Peripheral blood smear: 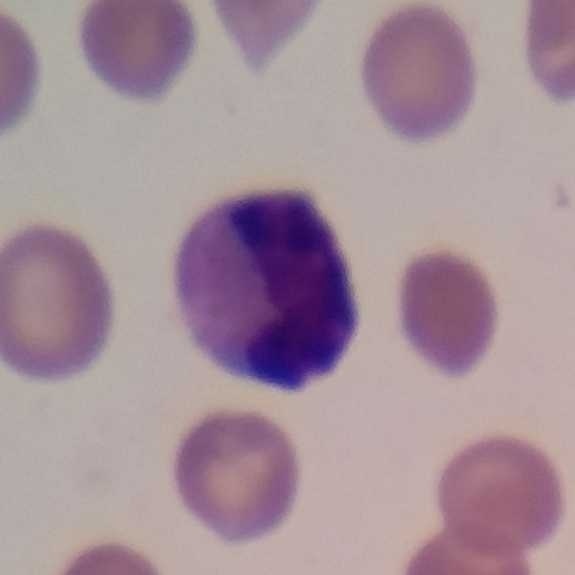

The cell type is lymphocyte.